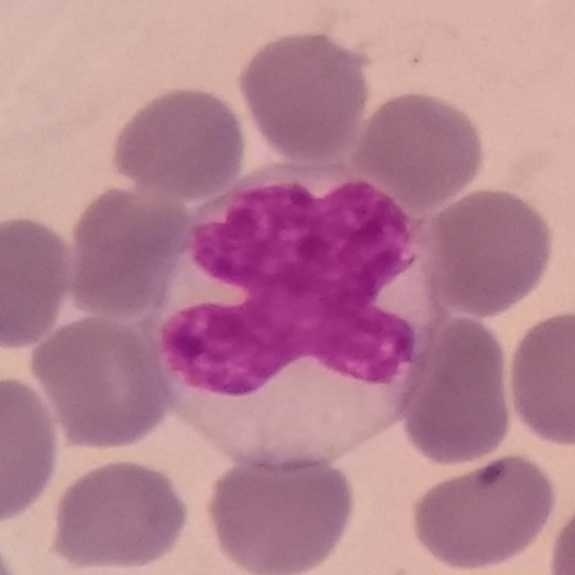

Impression → monocyte.